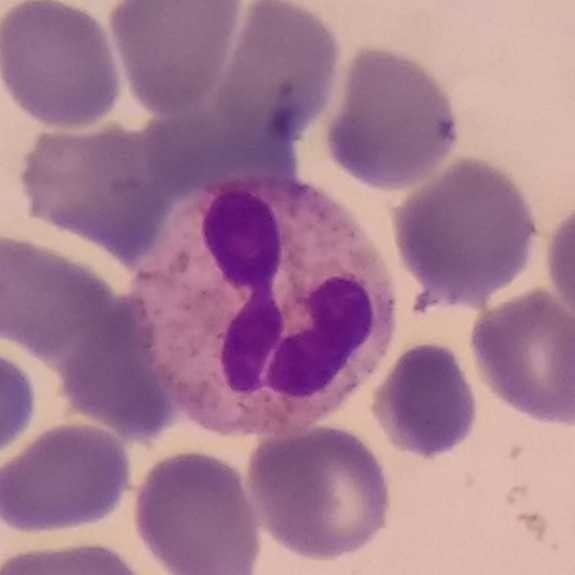
Specimen: peripheral blood film.
Classification: neutrophilic granulocyte. Image: Photographed through a light microscope with a smartphone camera.